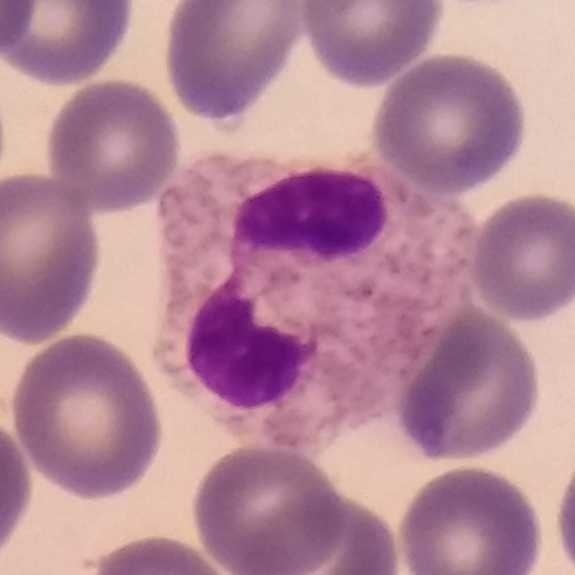 Acquisition: Peripheral blood film. 575×575 px.
Identified as a neutrophil granulocyte.